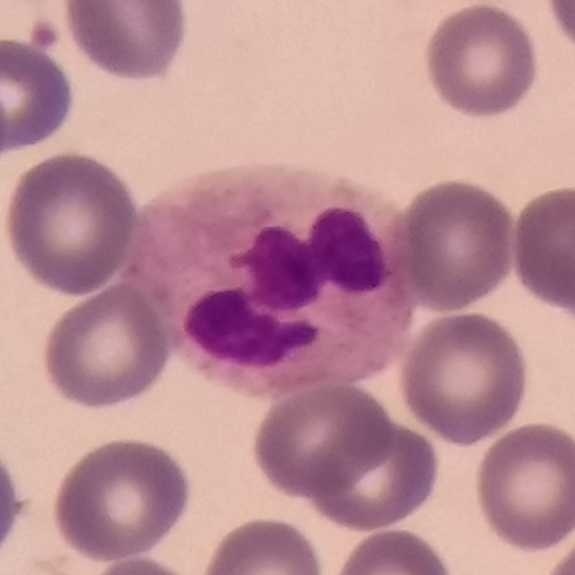Specimen: peripheral blood smear.
Morphological class: neutrophil granulocyte.
Lineage: myeloid.